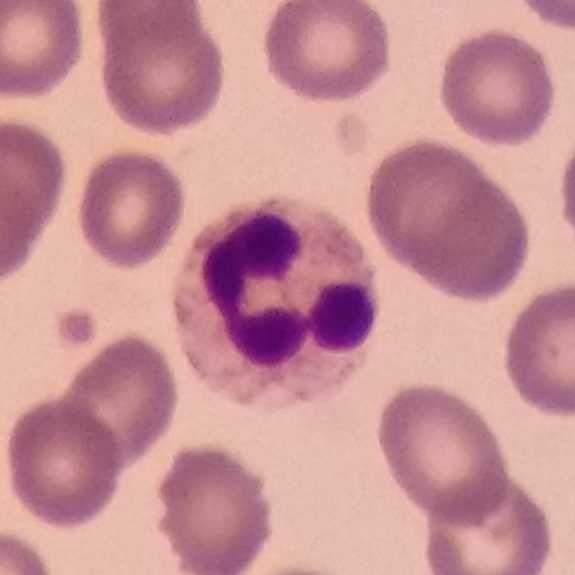
From a peripheral blood smear: a neutrophil granulocyte.